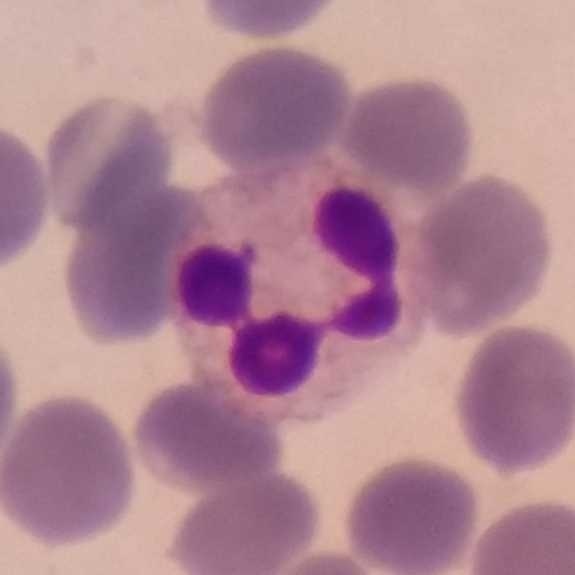 Specimen: peripheral blood smear.
Classification: neutrophil granulocyte.
Lineage: myeloid.